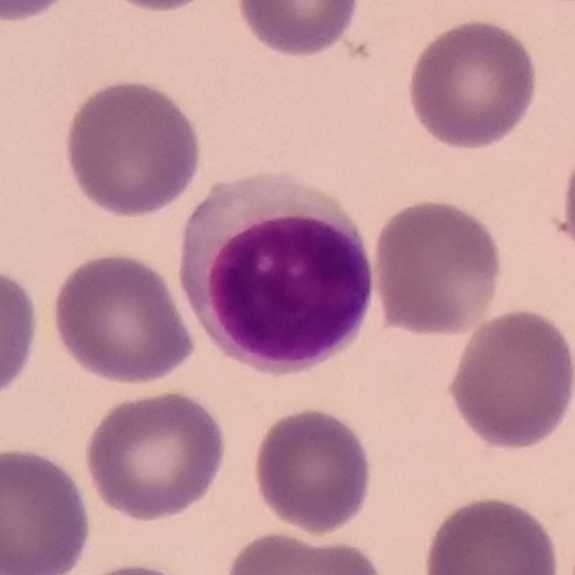

Stained with Giemsa. Single-cell crop. Peripheral blood film. Single cell identified as a lymphocyte.